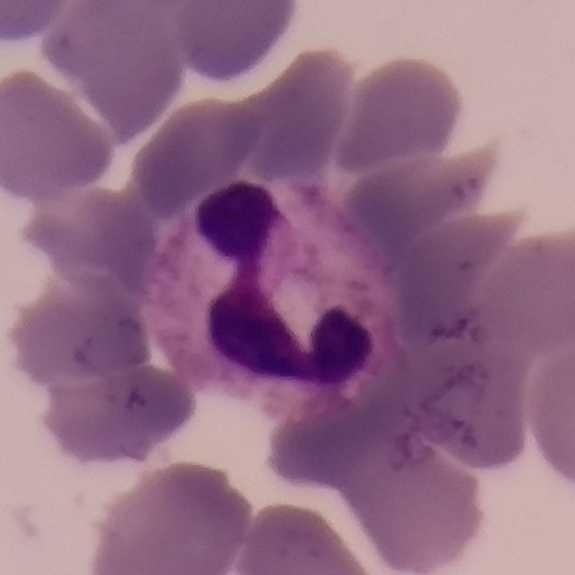White blood cell type — neutrophil granulocyte.

Image: Magnification 100×; peripheral blood smear; Giemsa-stained.